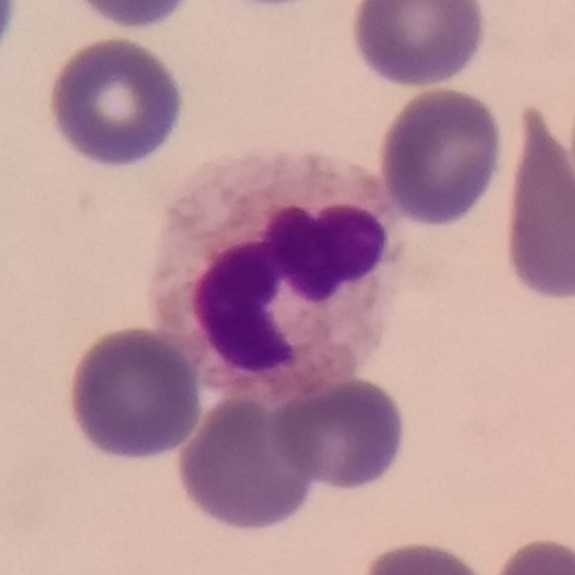 Cell type: neutrophil. Acquisition: Peripheral blood smear.